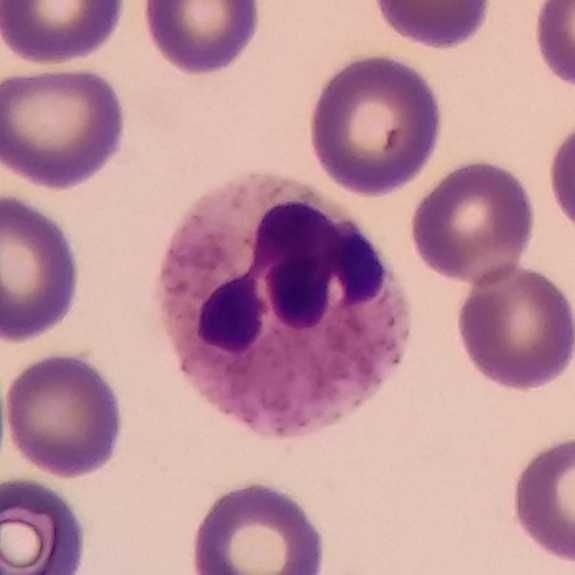Acquisition: Single-cell field · imaged at 100× · peripheral blood smear.

Cell: neutrophil granulocyte.